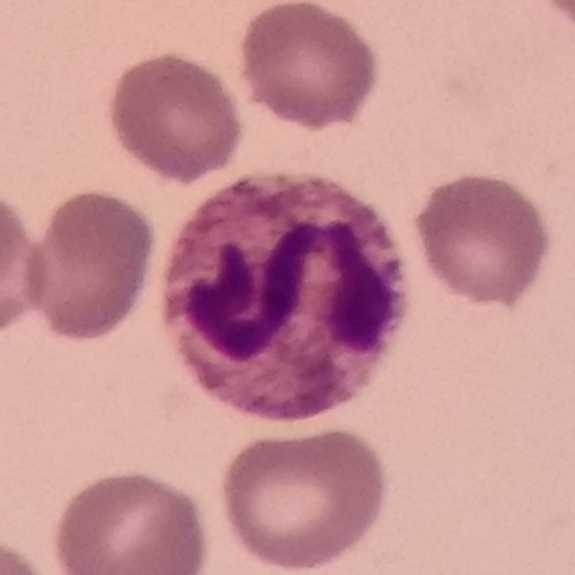

The cell is neutrophilic granulocyte. Image: Peripheral blood smear.